Peripheral blood film: 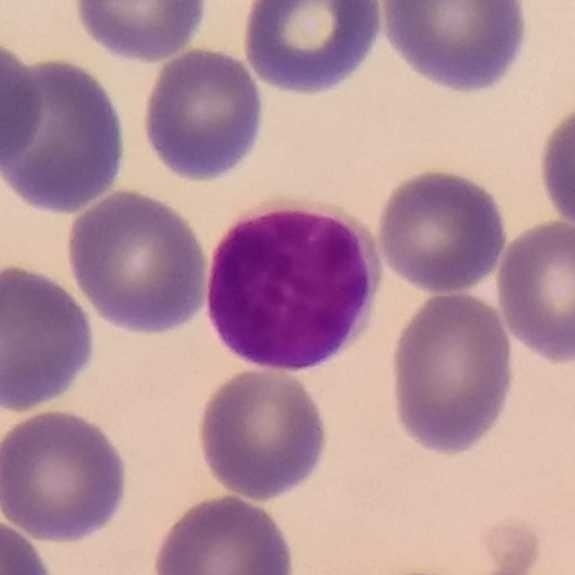The white blood cell in this image is a lymphocyte.